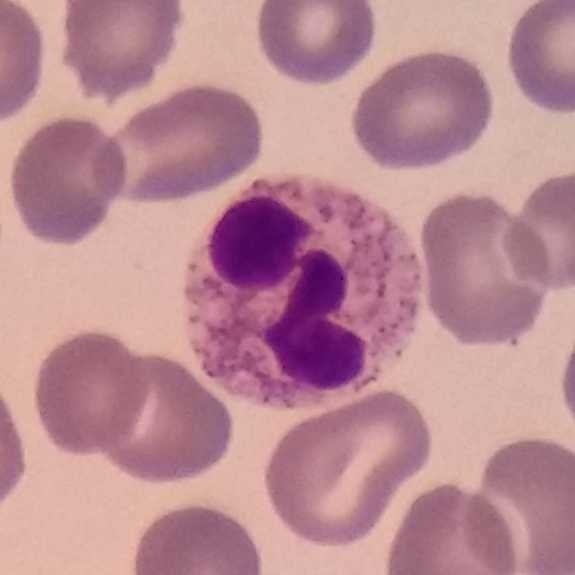

Q: Which type of white blood cell is this?
A: It is a neutrophilic granulocyte. Peripheral blood smear · magnification 100×.